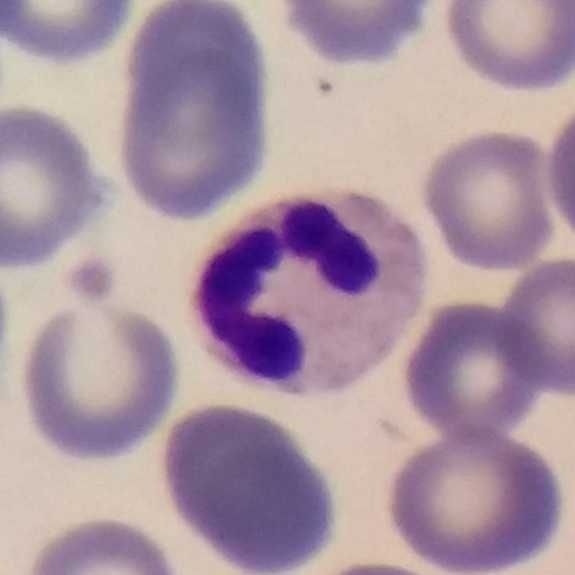From a peripheral blood smear: a neutrophil.